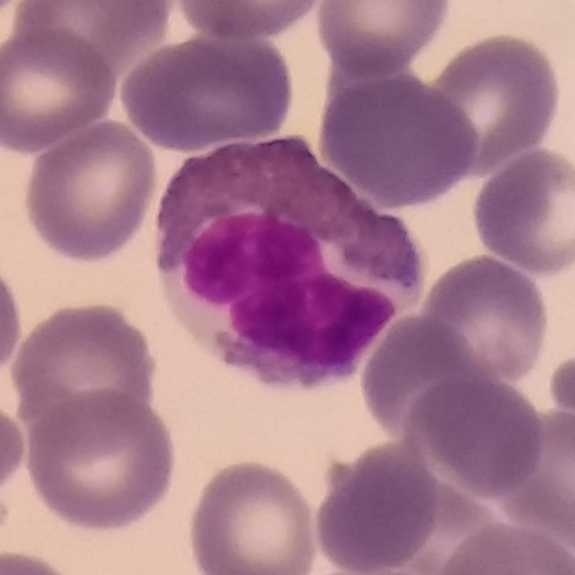
Showing an eosinophil.

Context: Peripheral blood film. 575×575.